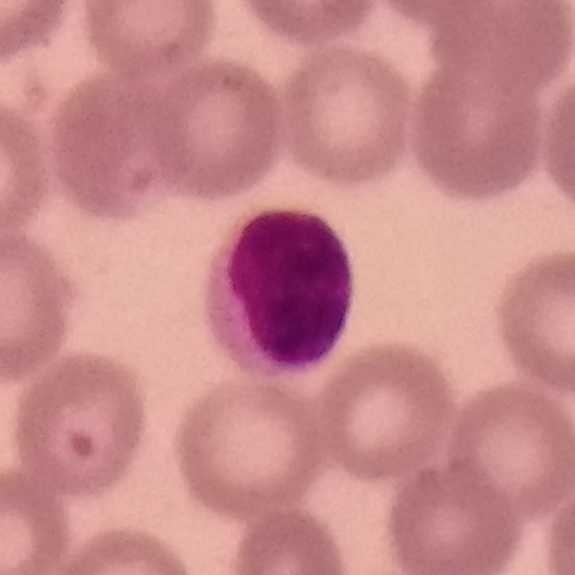Specimen: peripheral blood smear.
Cell type: lymphocyte.